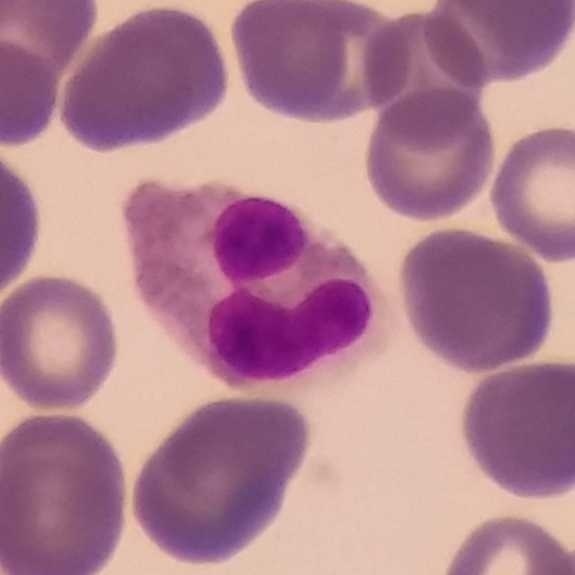 Peripheral blood smear showing an eosinophilic granulocyte.